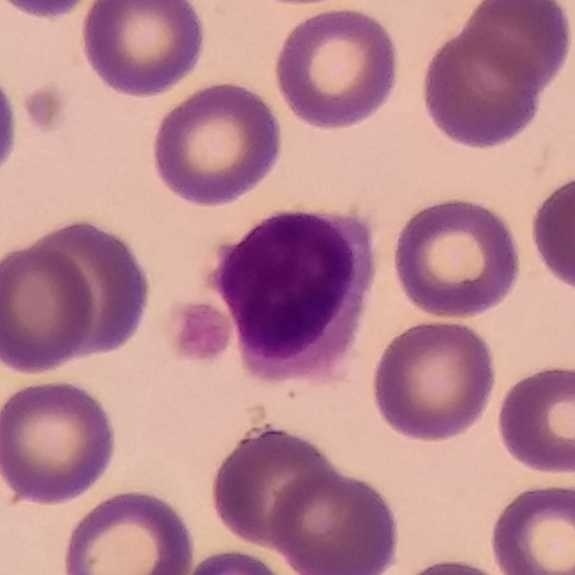 Acquisition: 575×575. Cropped to one leukocyte. Peripheral blood film.
Q: What type of cell is this?
A: Lymphocyte.